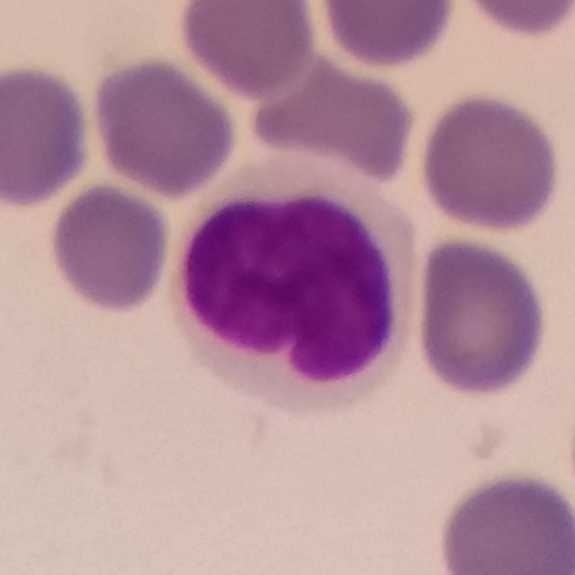Cell type = lymphocyte.